Peripheral blood film — 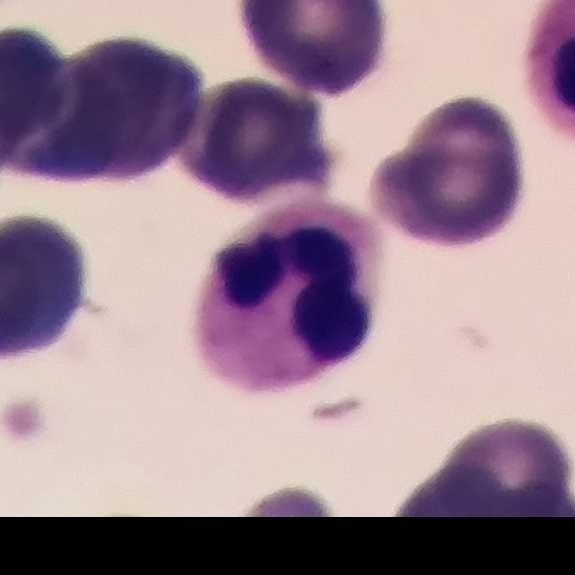 Morphology consistent with a neutrophilic granulocyte.